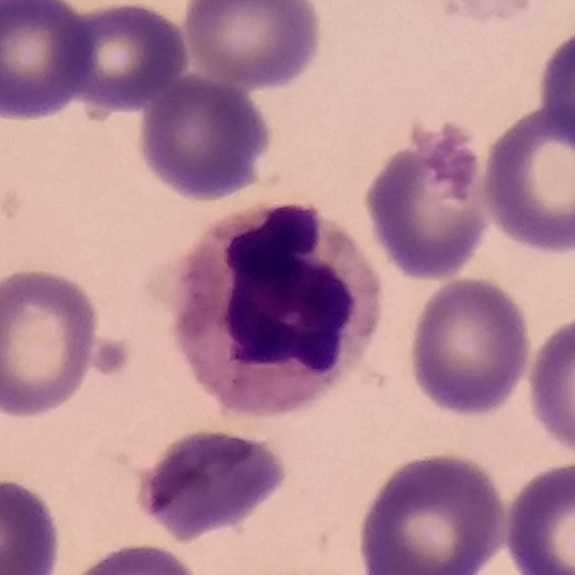The cell is neutrophil. Preparation: Peripheral blood film; stained with Giemsa; single-cell crop.